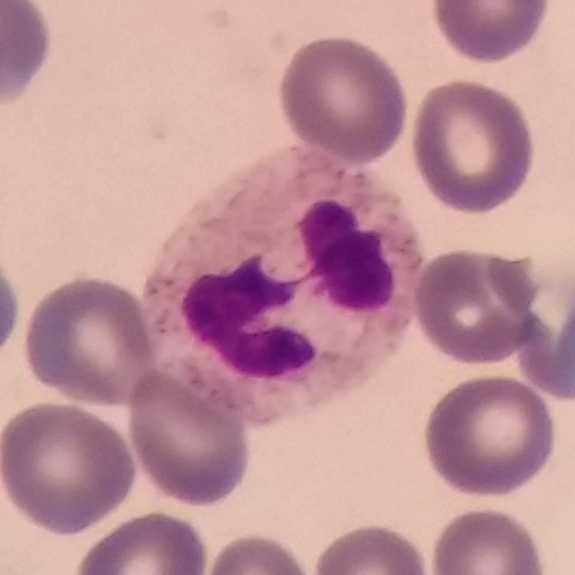 The morphological class is neutrophilic granulocyte.